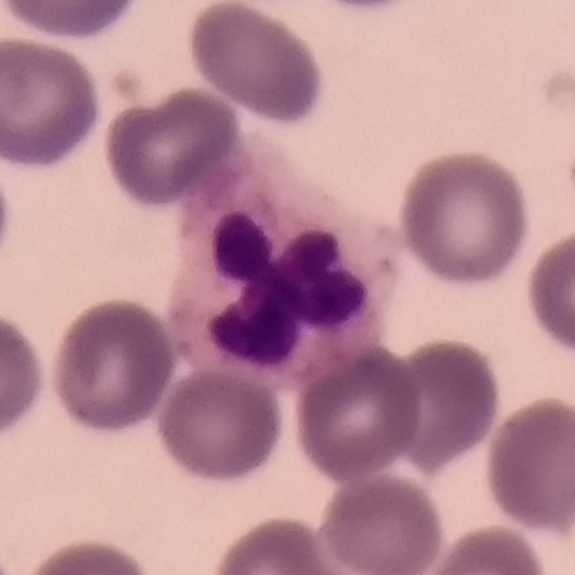Acquisition: Peripheral blood smear.
The white blood cell in this image is a neutrophil granulocyte.